575×575 px; peripheral blood film: 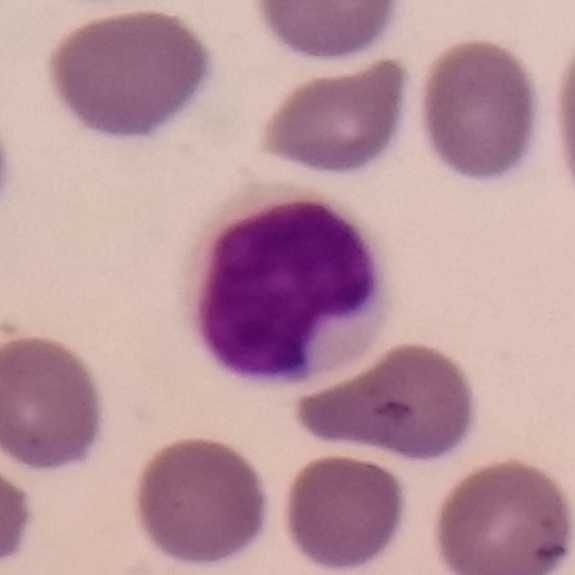Identified as a lymphocyte.